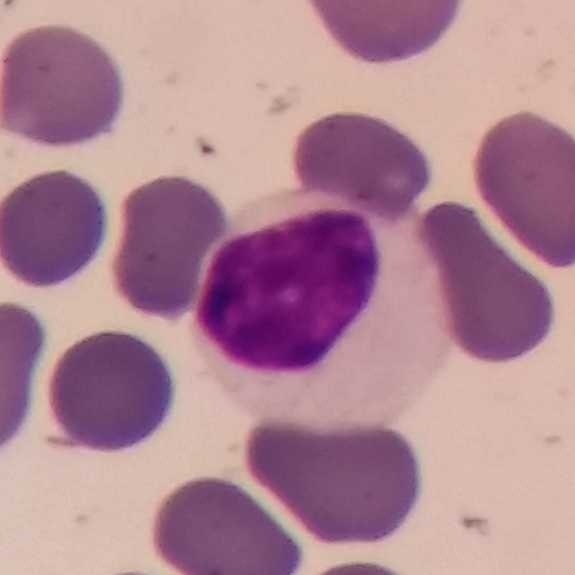Q: What is the morphological classification of this cell?
A: It is a lymphocyte. Image: Peripheral blood smear.